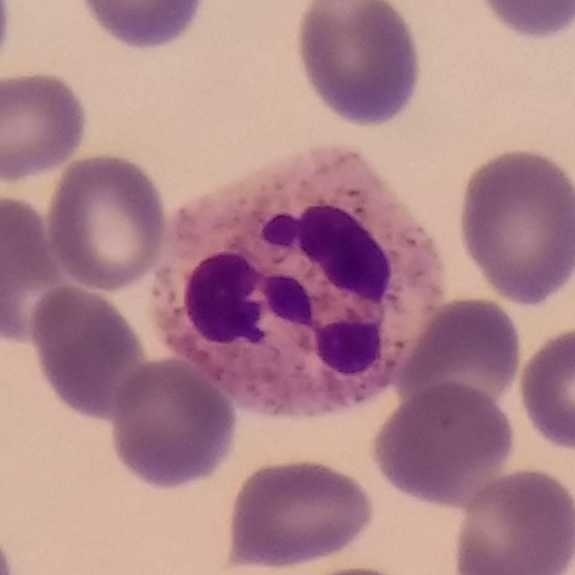

Morphology consistent with a neutrophilic granulocyte.